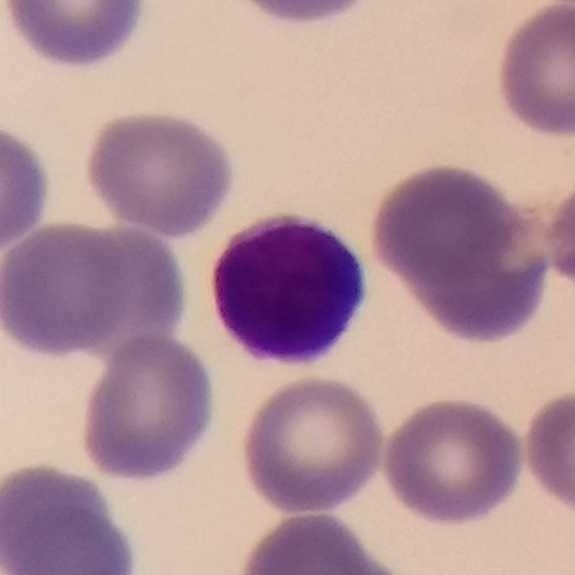A lymphocyte on a peripheral blood smear.